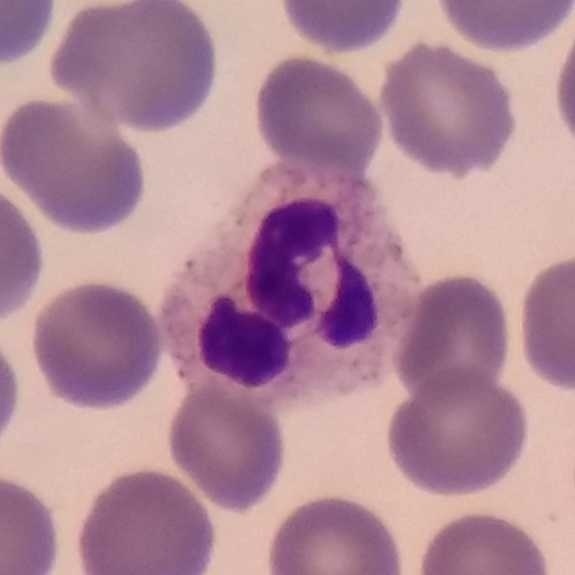
White blood cell type = neutrophil granulocyte.